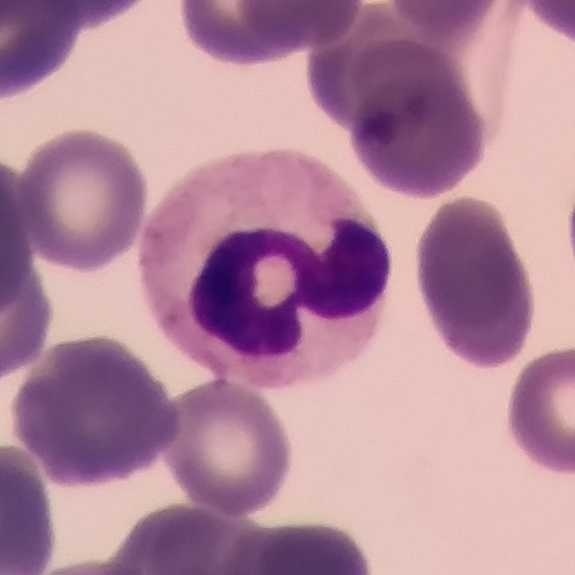Q: What is shown here?
A: It is a neutrophil granulocyte. Peripheral blood film. Single white blood cell cropped from the smear photograph.